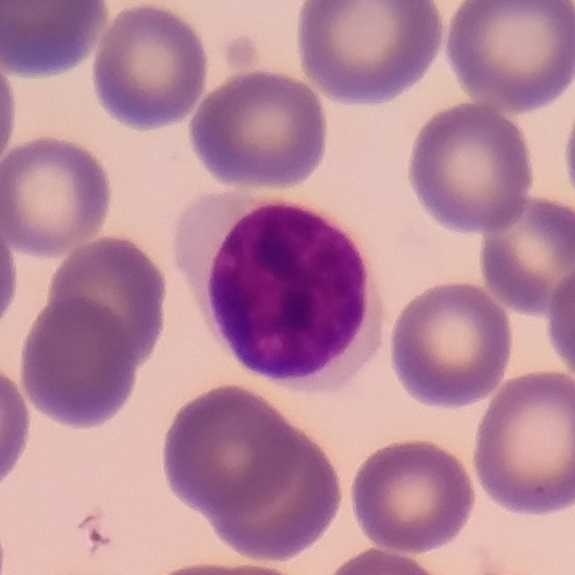
White blood cell type: lymphocyte.
Preparation: Single white blood cell cropped from the smear photograph; Giemsa-stained; peripheral blood film.